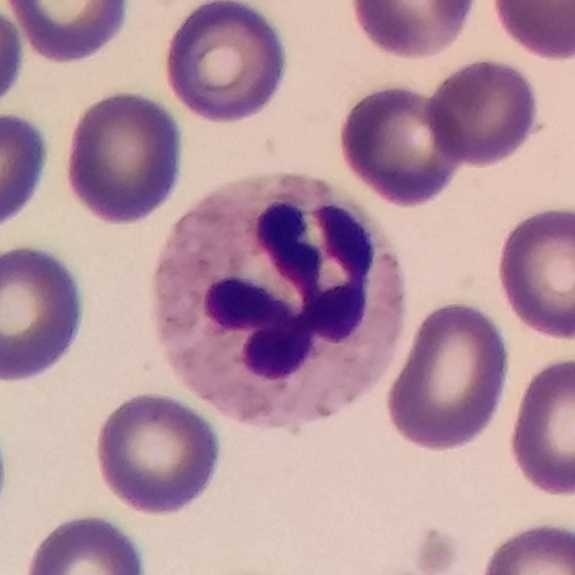

This is a neutrophilic granulocyte.

Image: Peripheral blood smear; 100× magnification.